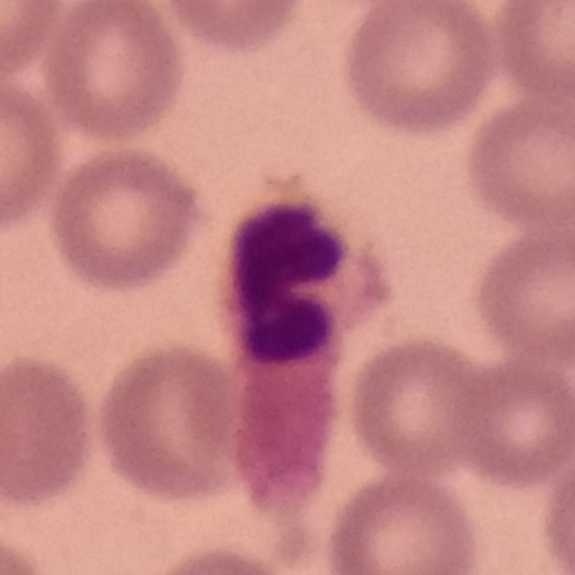

A neutrophil.